Peripheral blood smear · 575×575 px · stained with Giemsa:
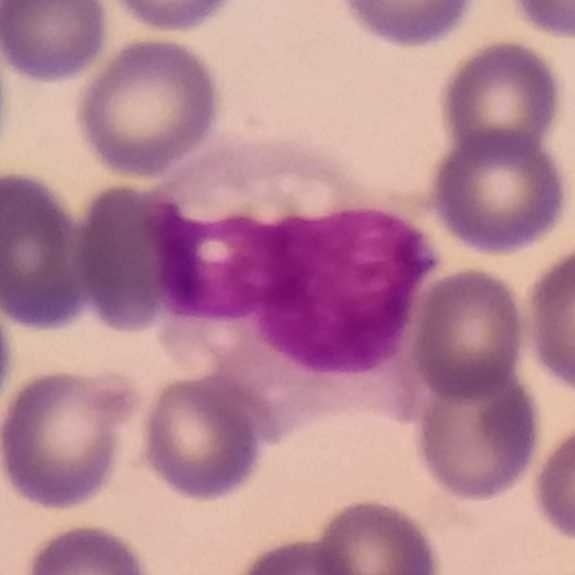 Showing a monocyte.